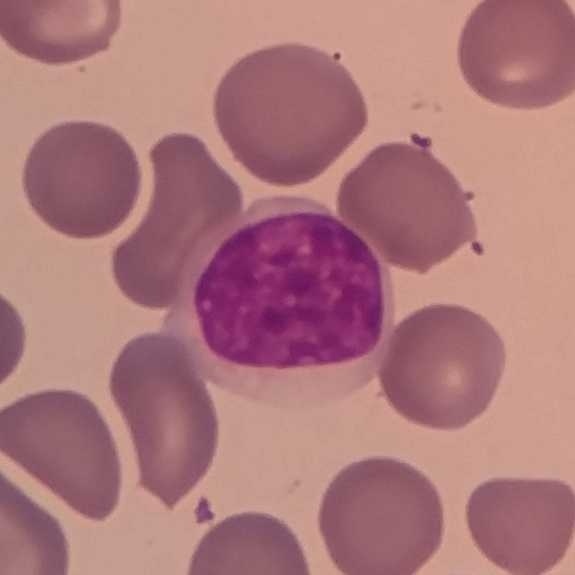Q: What is shown here?
A: This is a lymphocyte.
Preparation: Smartphone camera mounted on the microscope eyepiece · image size 575×575 · peripheral blood smear.